575 by 575 pixels; peripheral blood film:
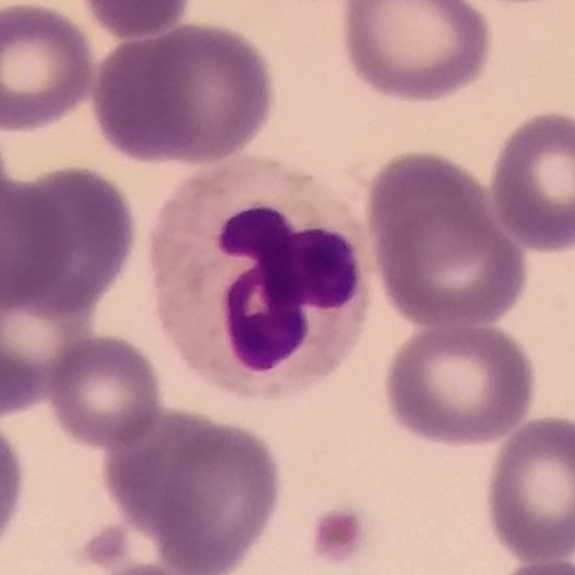

Q: Classify this leukocyte.
A: This is a neutrophil granulocyte.